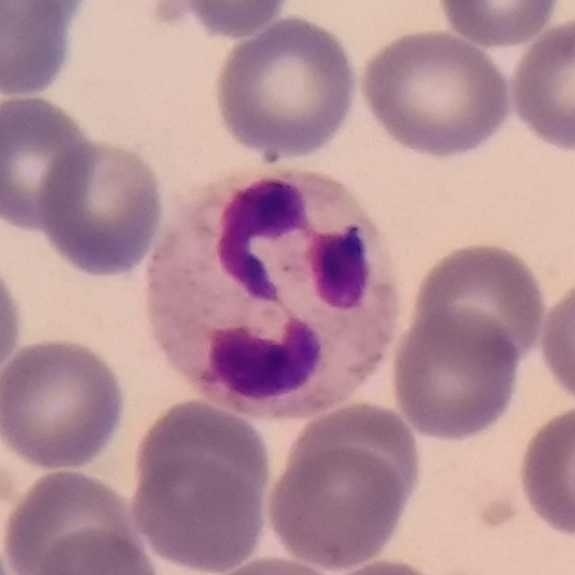Specimen: peripheral blood smear.
Cell type: neutrophil granulocyte.